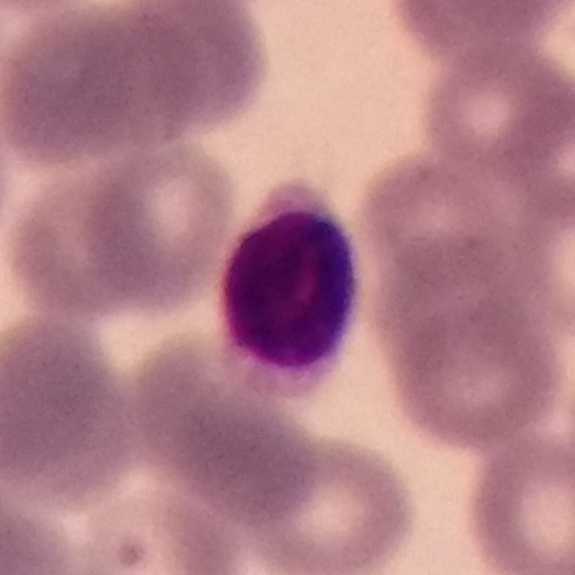 Q: Classify this leukocyte.
A: A lymphocyte.

Context: Peripheral blood film.